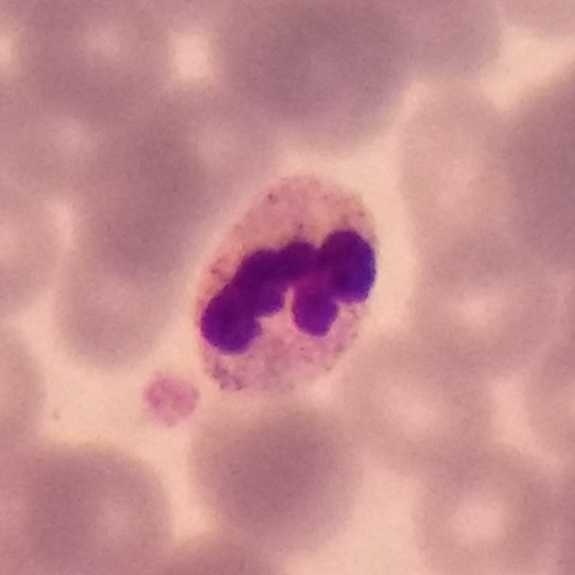
Cell type — neutrophil.
Image: Stained with Giemsa; peripheral blood film.